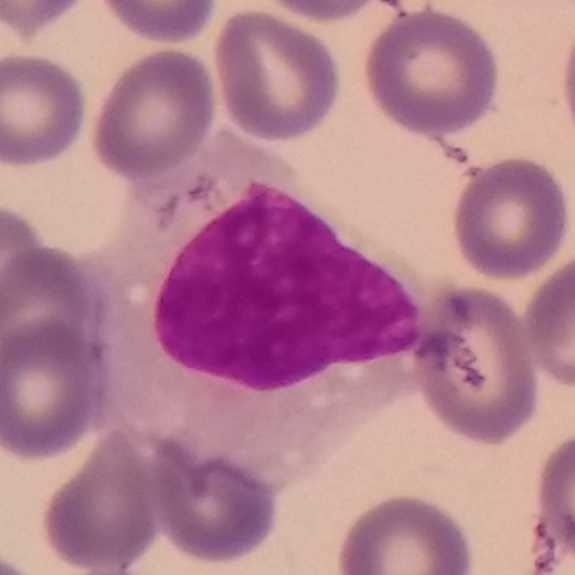

Specimen: peripheral blood film.
White blood cell type: monocyte.
Lineage: myeloid.